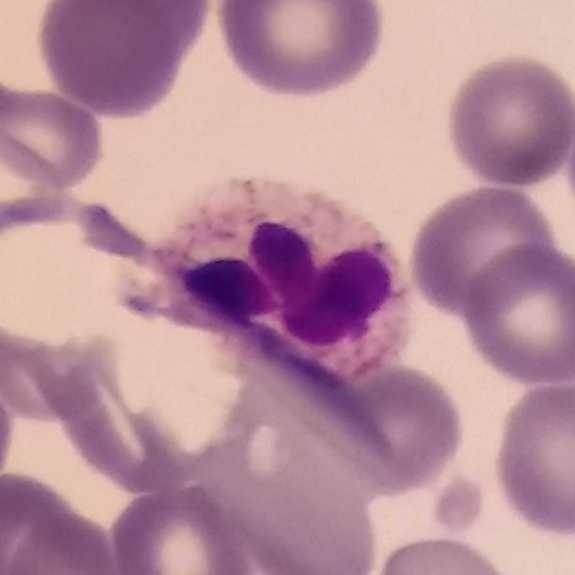
Specimen: peripheral blood smear.
Cell: neutrophil granulocyte.